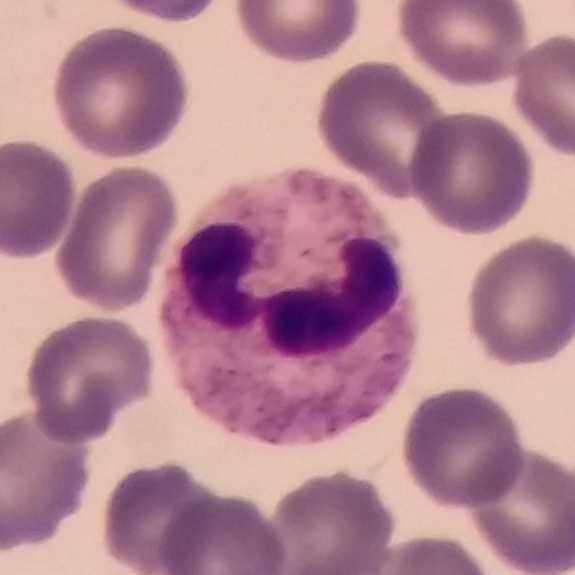
Context: Smartphone photomicrograph.
Specimen: peripheral blood film.
Classification: neutrophilic granulocyte.
Lineage: myeloid.